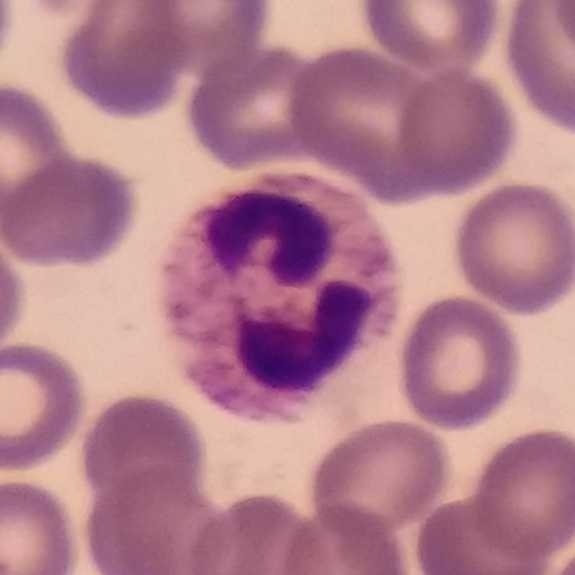Q: Which cell type is shown here?
A: Neutrophilic granulocyte.